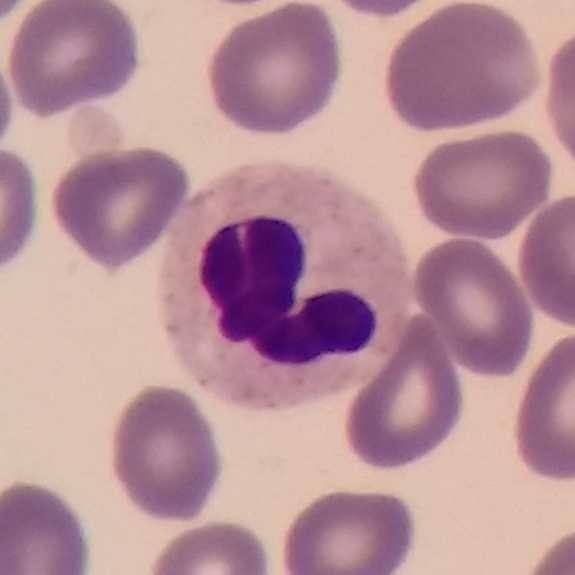
Neutrophilic granulocyte.

Acquisition: 575×575 px. Peripheral blood smear.